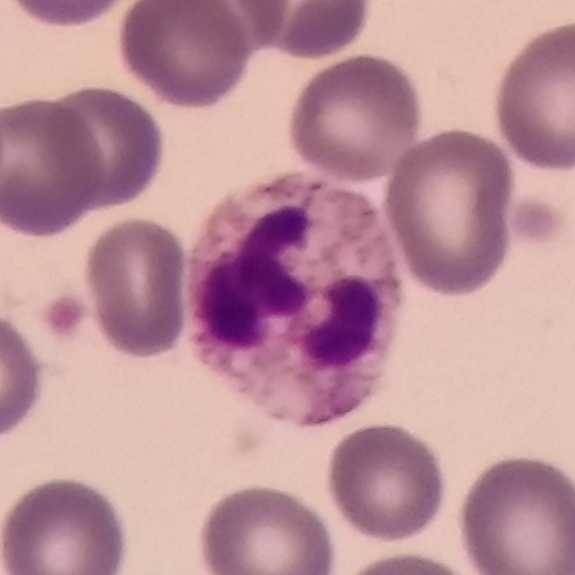 Preparation: Peripheral blood smear. Single-cell field.

Classification = neutrophil granulocyte.